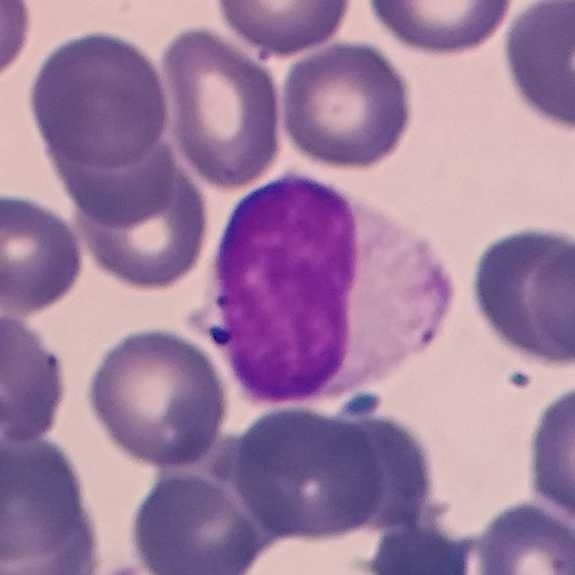
Peripheral blood film.

{"cell_type": "lymphocyte"}